Giemsa stain · peripheral blood smear.
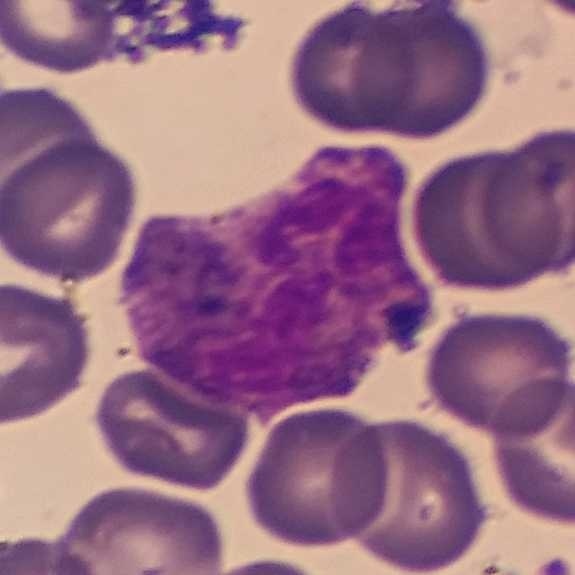 Morphology → neutrophil granulocyte.